Peripheral blood film — 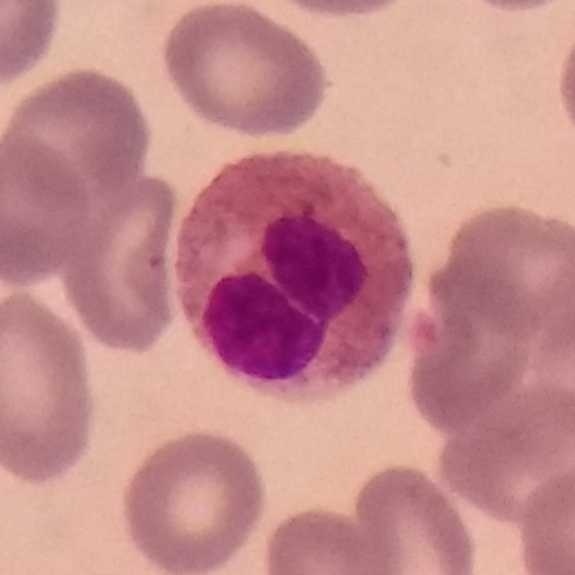 Identified as an eosinophil.